Peripheral blood film
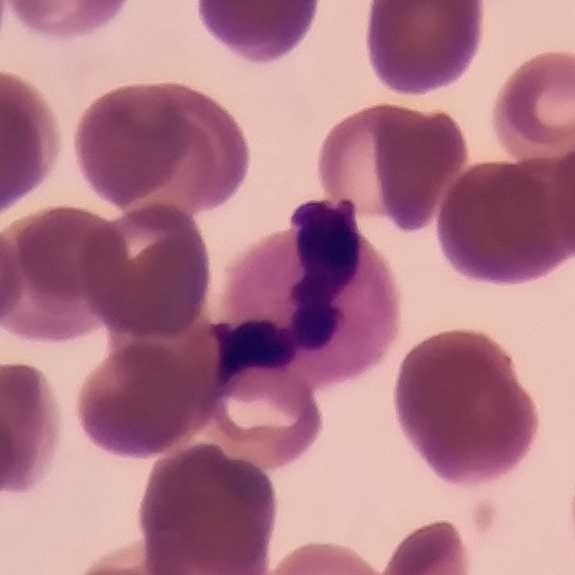
Specimen: peripheral blood smear.
Cell: neutrophil granulocyte.